Peripheral blood film · phone-camera image taken through the microscope ocular — 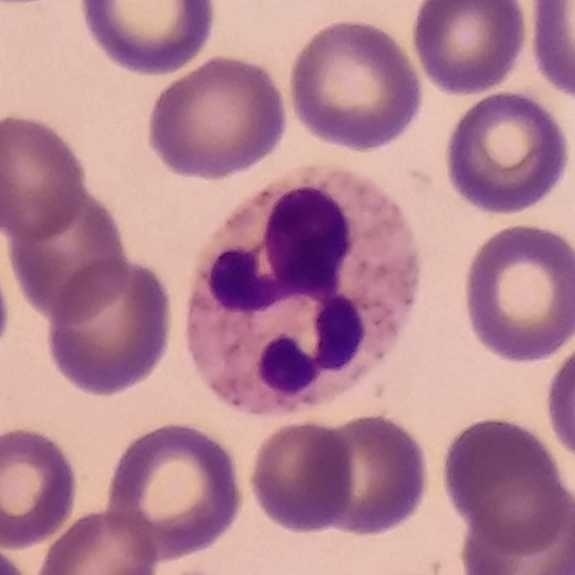

Single cell identified as a neutrophil granulocyte.